Peripheral blood smear — 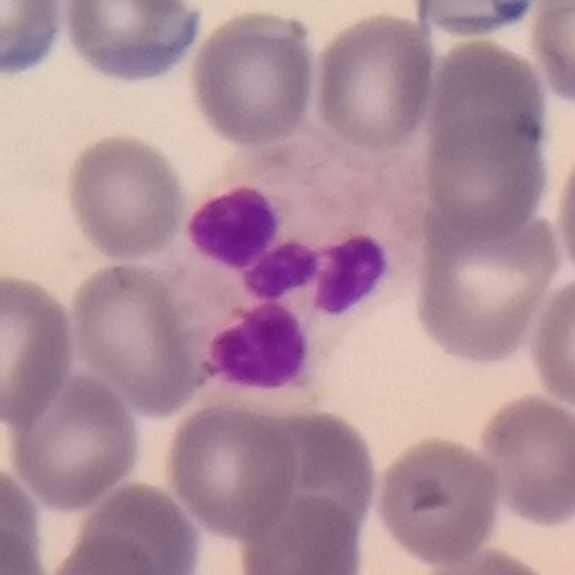
The cell shown is a neutrophil granulocyte.